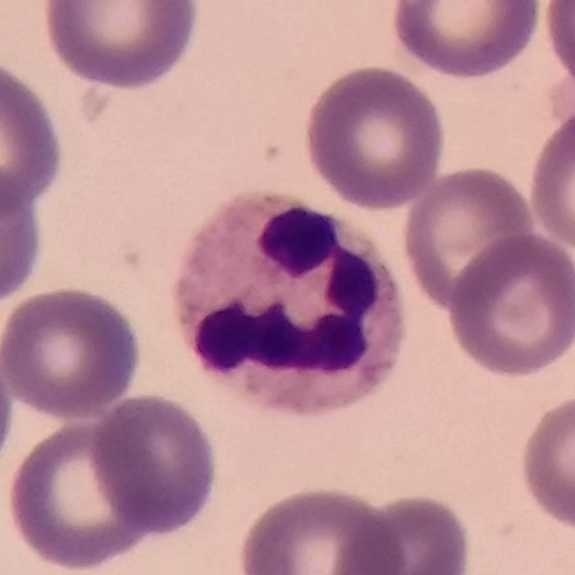 Peripheral blood smear.
Identified as a neutrophil.